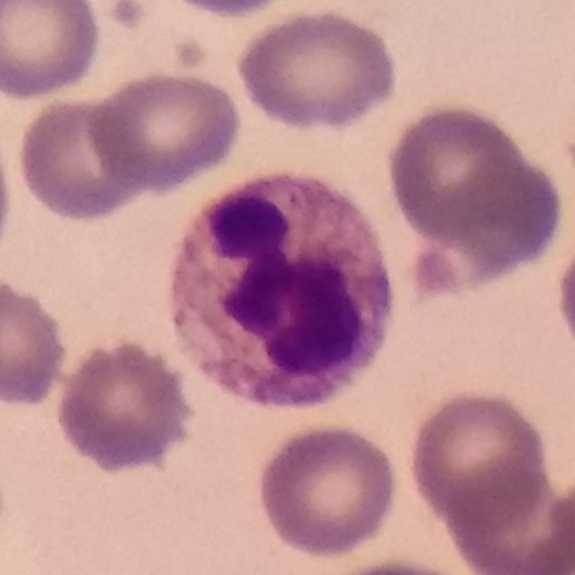

Morphology → neutrophilic granulocyte.